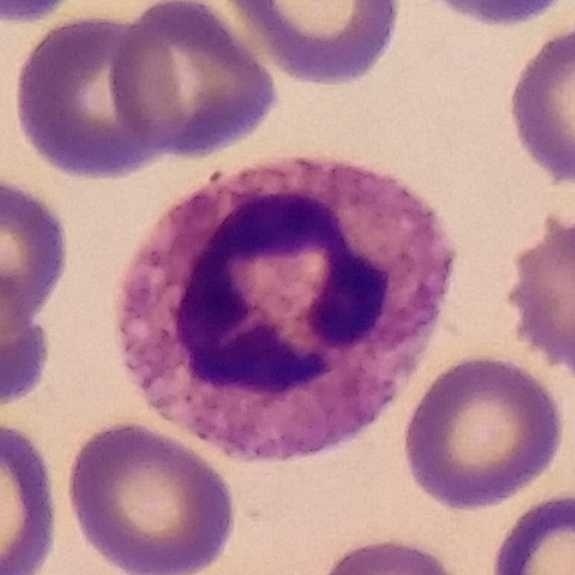
Q: What type of cell is this?
A: Neutrophil.
Context: Phone-camera image taken through the microscope ocular · image size 575×575 · peripheral blood film.